Peripheral blood smear:
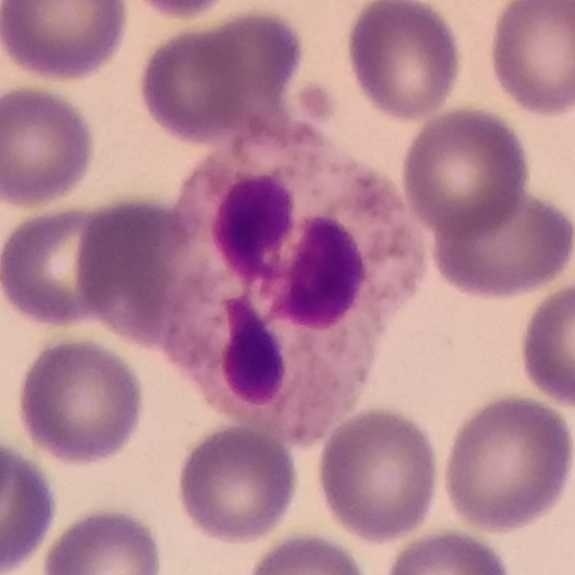 Specimen: peripheral blood smear.
Morphological class: neutrophil granulocyte.
Lineage: myeloid.